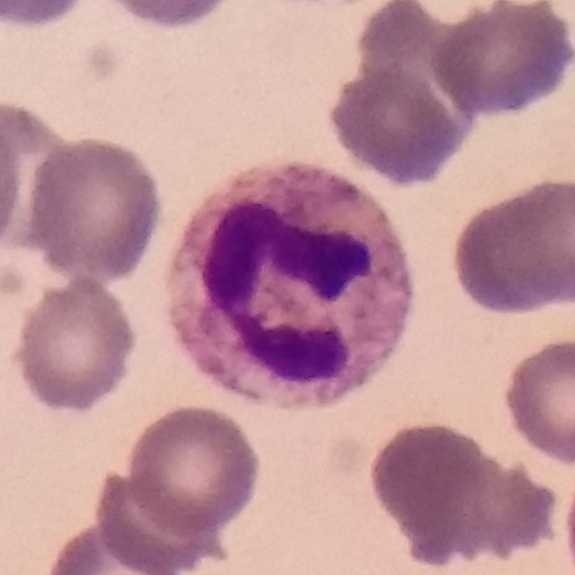 Q: What is this?
A: It is a neutrophilic granulocyte.